Peripheral blood film — 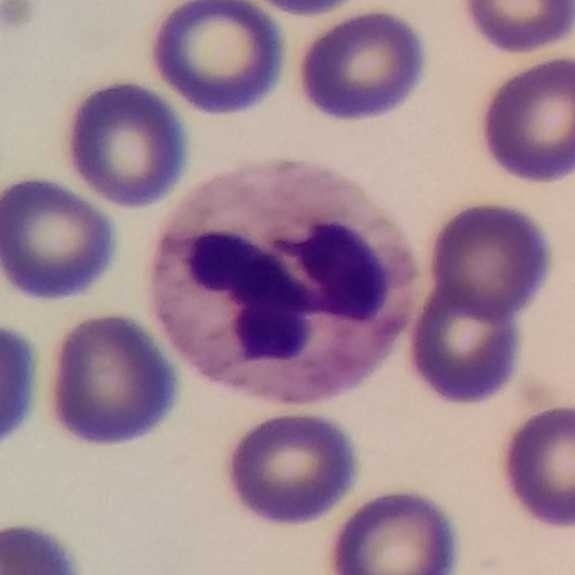
Specimen: peripheral blood smear.
White blood cell type: neutrophilic granulocyte.
Lineage: myeloid.